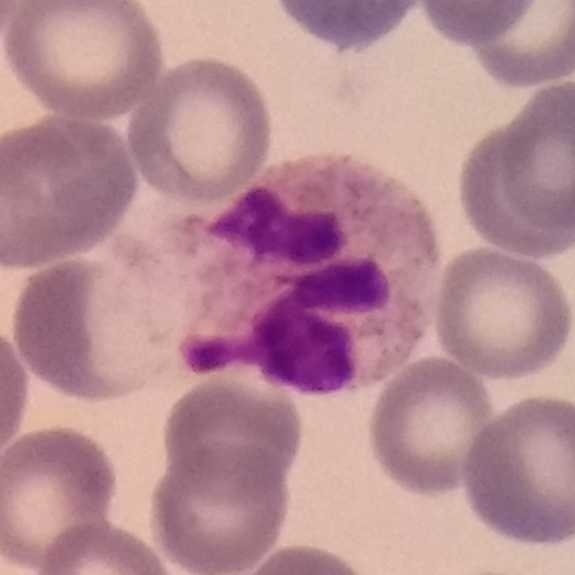

Specimen: peripheral blood smear.
Cell: neutrophilic granulocyte.
Lineage: myeloid.